Peripheral blood smear:
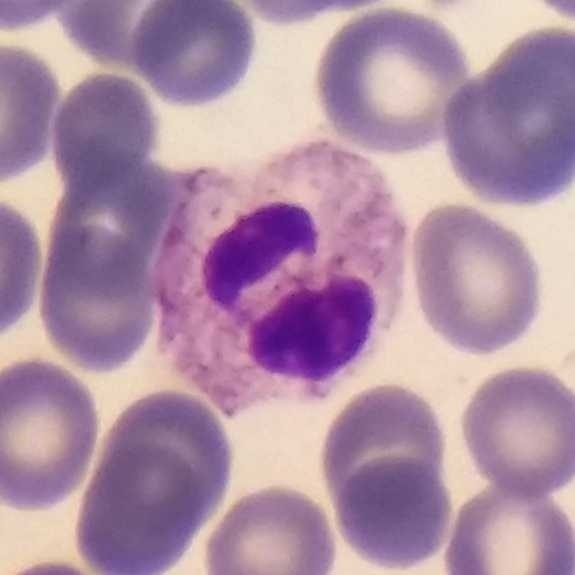
The white blood cell in this image is a neutrophilic granulocyte.